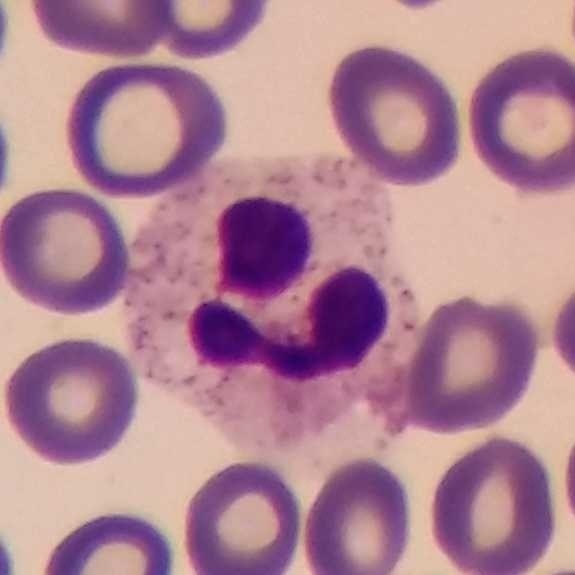
The white blood cell type is neutrophil granulocyte. Image: Peripheral blood smear.